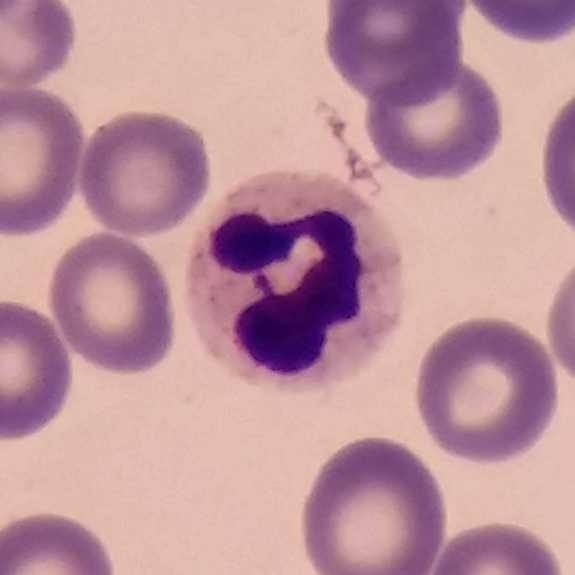 Specimen: peripheral blood film.
Cell: neutrophilic granulocyte.
Lineage: myeloid.